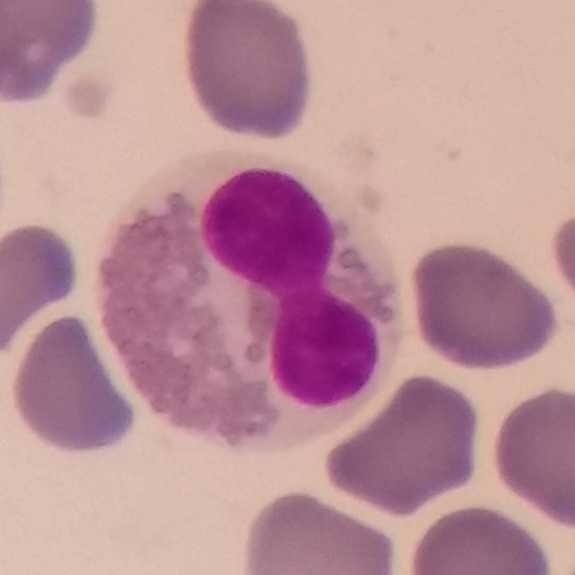

The morphological class is eosinophilic granulocyte.
Context: Peripheral blood smear.